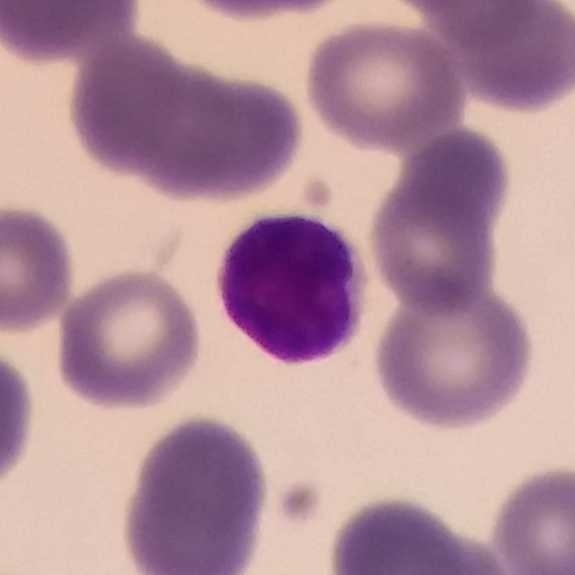 Q: What type of cell is this?
A: This is a lymphocyte.